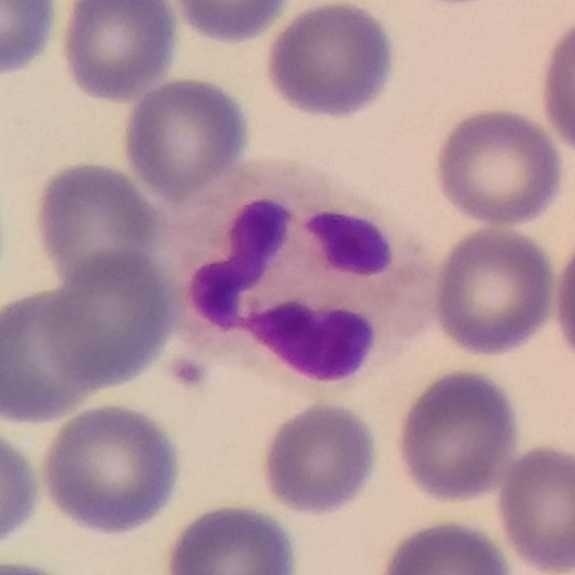{"cell_type": "neutrophil", "lineage": "myeloid"} Image: Peripheral blood smear.